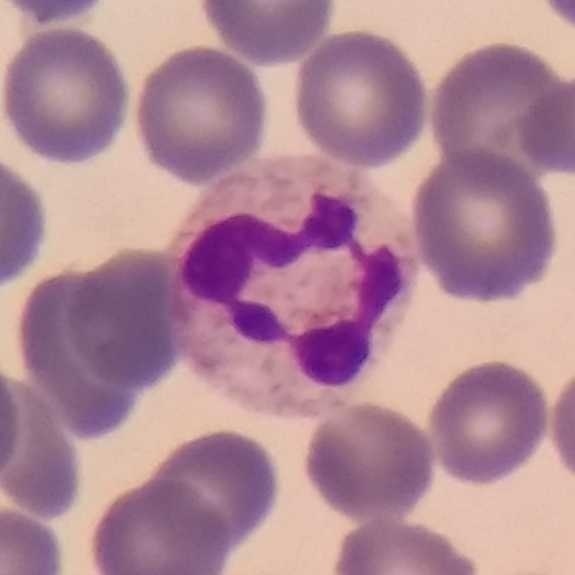 Specimen: peripheral blood film.
Cell: neutrophil.
Lineage: myeloid.